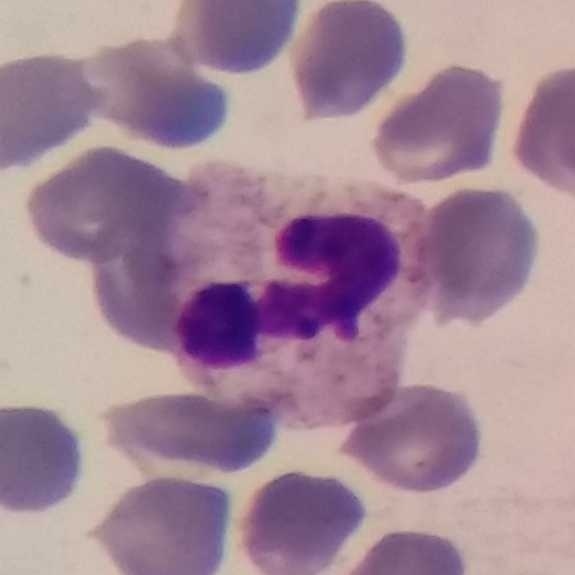The white blood cell in this image is a neutrophil granulocyte.